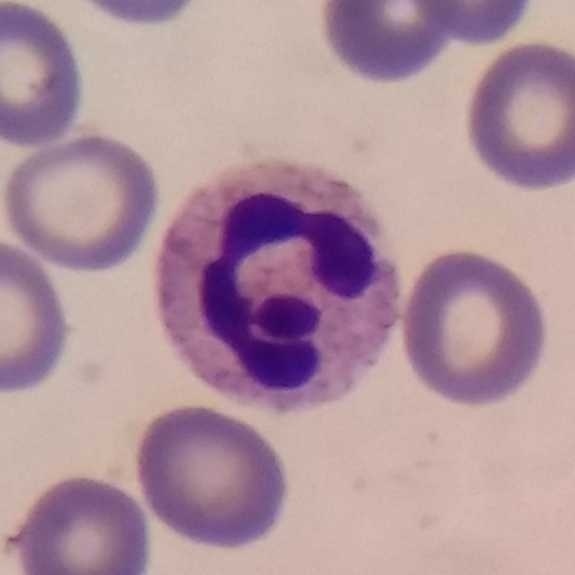

{"cell_type": "neutrophil", "lineage": "myeloid"}

Acquisition: Peripheral blood film.